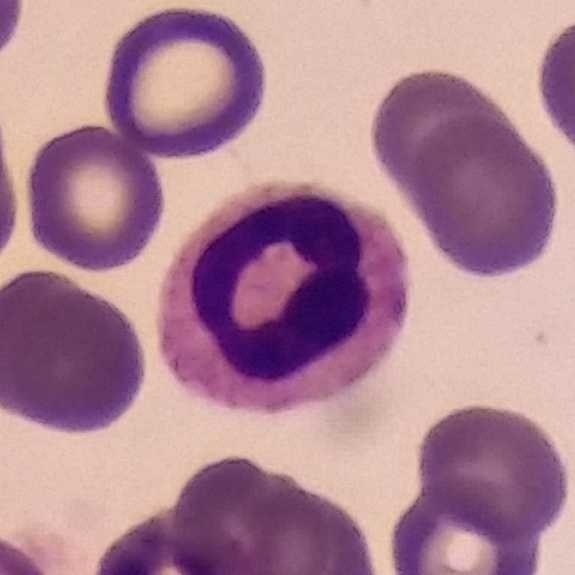
The cell shown is a neutrophilic granulocyte.